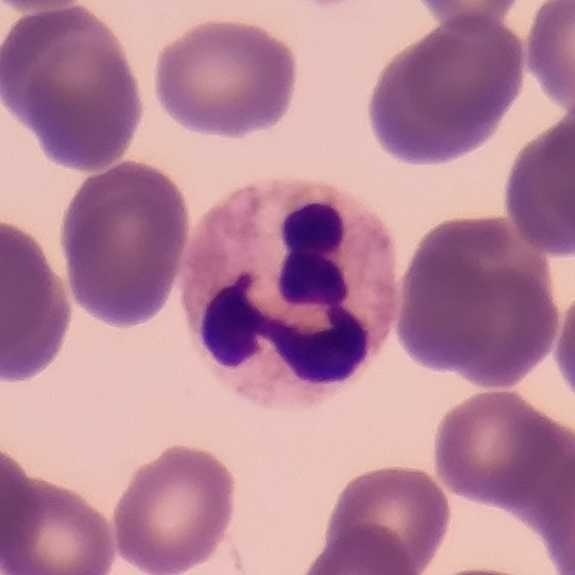Peripheral blood smear showing a neutrophil granulocyte.